Cropped to one leukocyte; peripheral blood film — 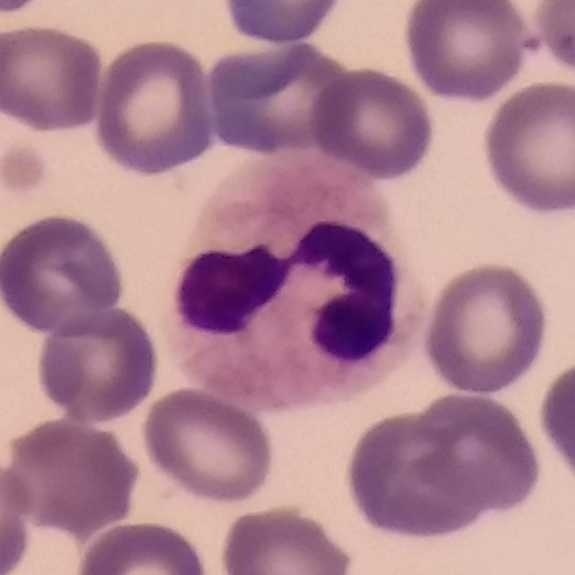Morphology → neutrophilic granulocyte.